Giemsa-stained · peripheral blood film: 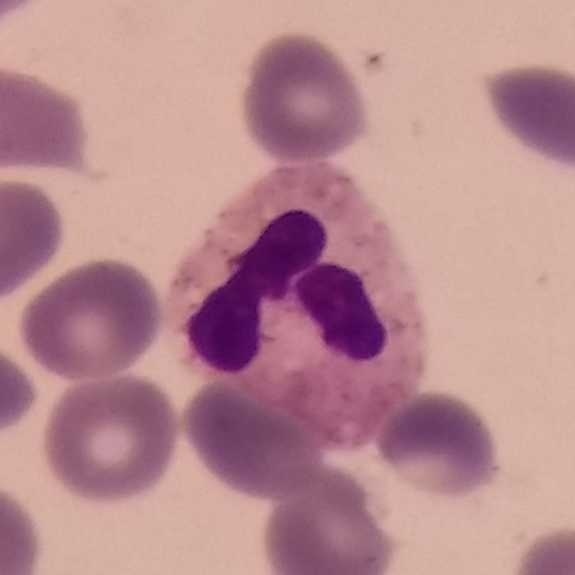Neutrophil.